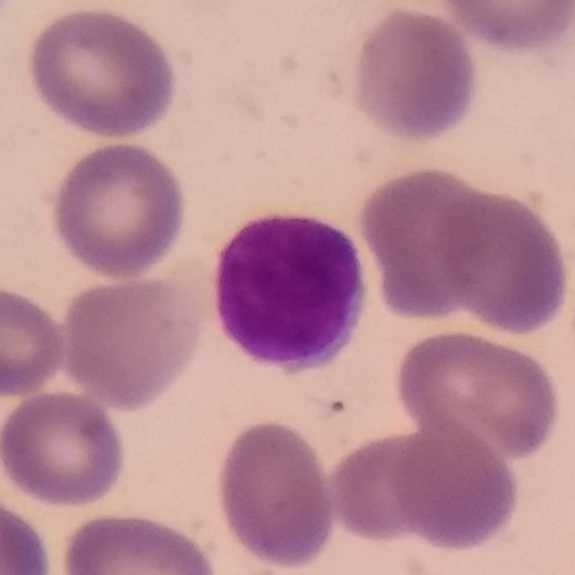 Q: Classify this leukocyte.
A: Lymphocyte. Preparation: Peripheral blood smear · image size 575×575.